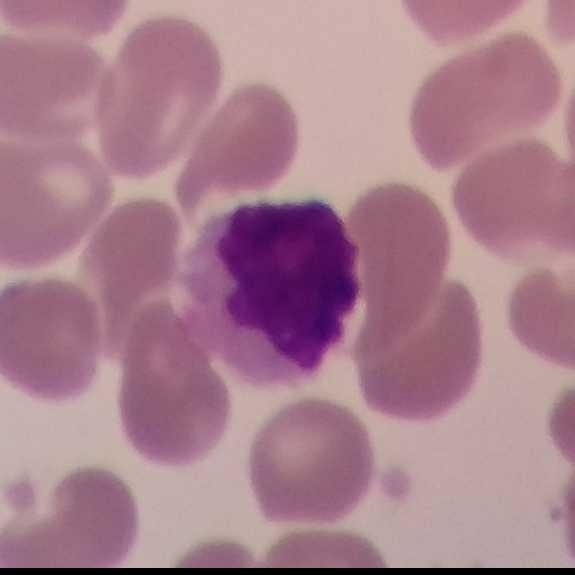 The white blood cell in this image is a lymphocyte. Preparation: Peripheral blood smear.